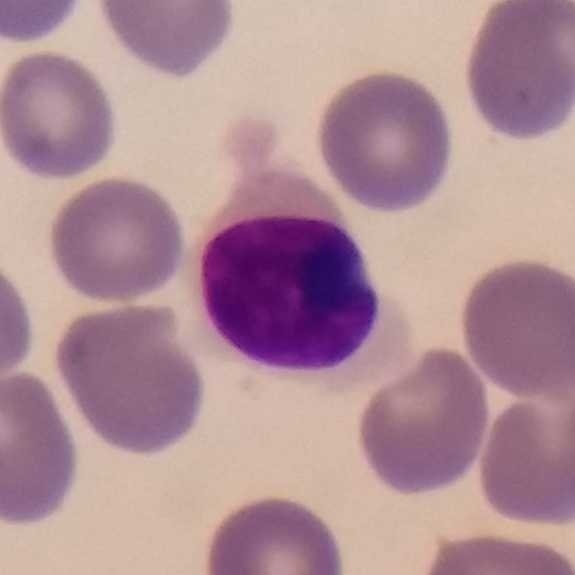
Specimen: peripheral blood smear.
Classification: lymphocyte.
Lineage: lymphoid.